575×575 px · peripheral blood smear — 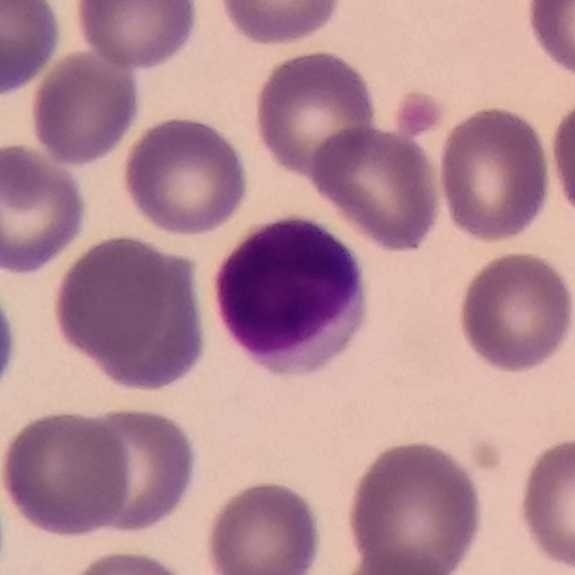

The cell type is lymphocyte.